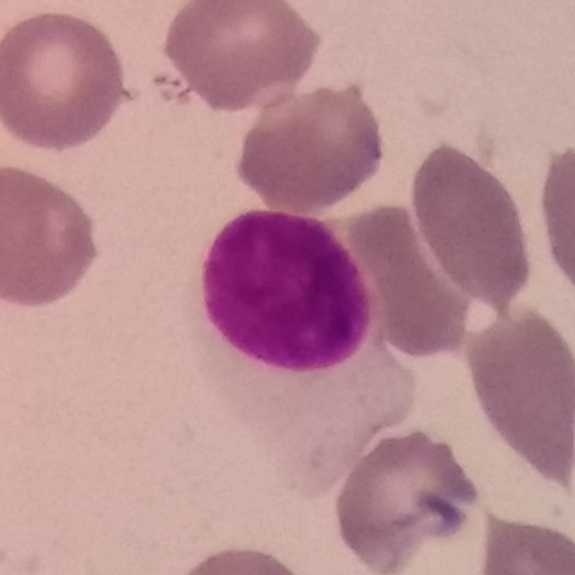Showing a lymphocyte.